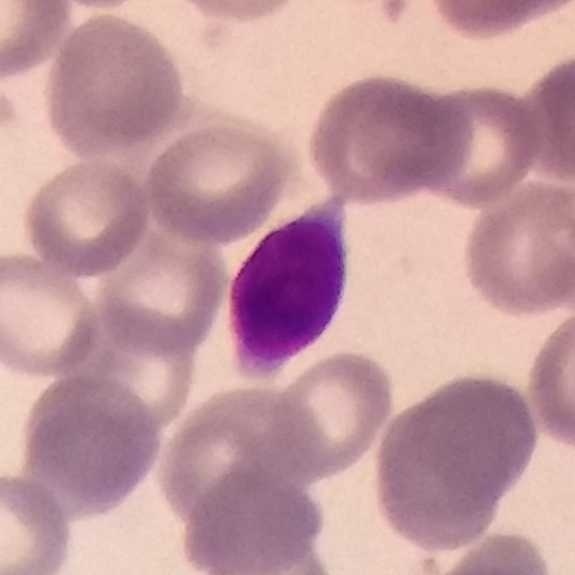

Impression — lymphocyte.

Image: Peripheral blood smear.